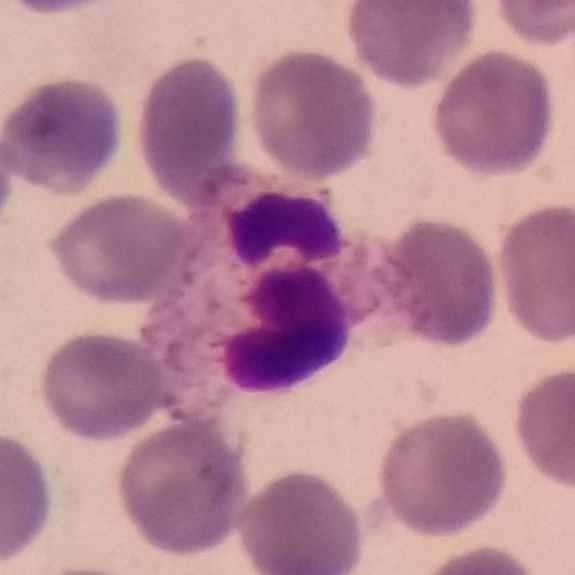

Cell: neutrophil granulocyte.